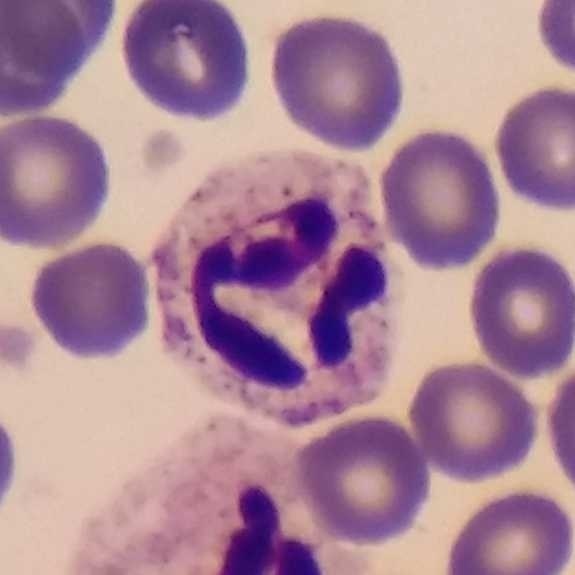Acquisition: Peripheral blood film. Showing a neutrophil.